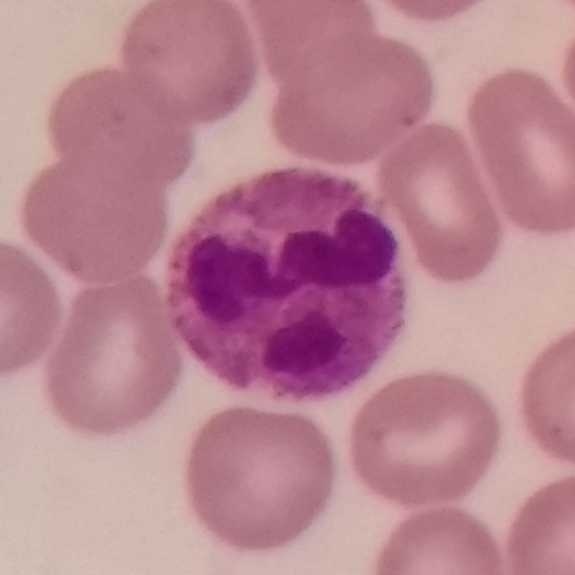

The cell shown is a neutrophilic granulocyte.

Image: Smartphone camera mounted on the microscope eyepiece; peripheral blood smear.